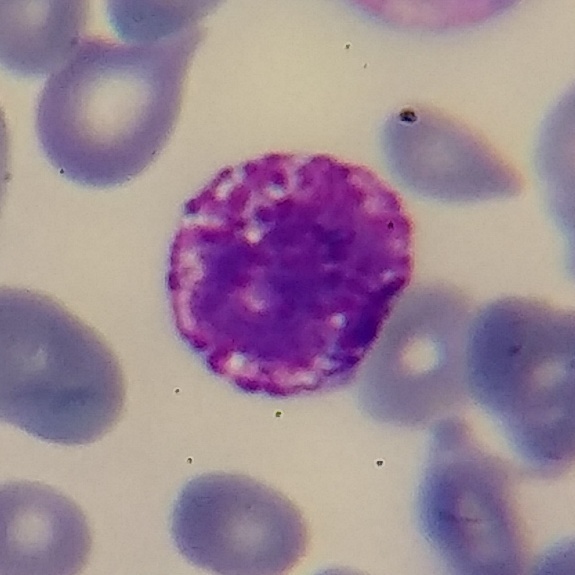Q: What is the morphological classification of this cell?
A: It is a basophil.